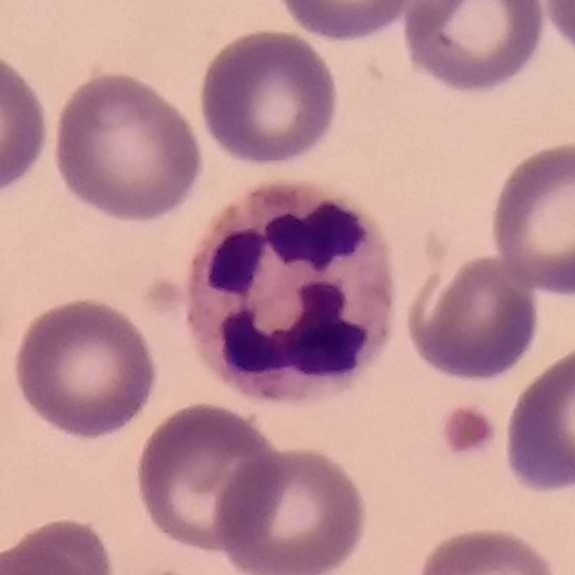 Acquisition: Peripheral blood smear.

This is a neutrophilic granulocyte.